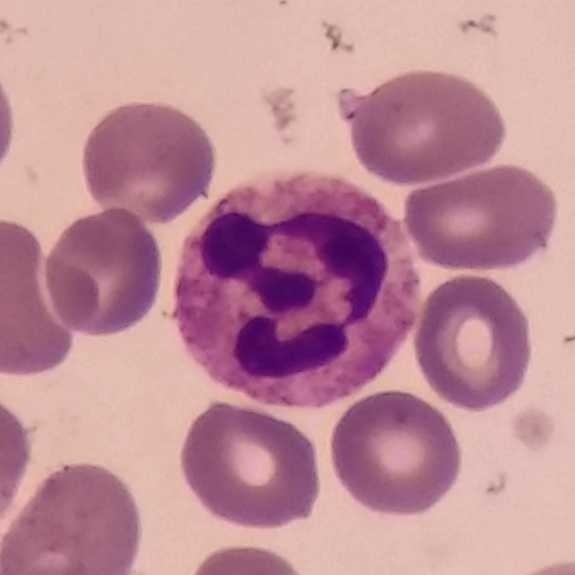

575 by 575 pixels; peripheral blood smear.
Neutrophil granulocyte.